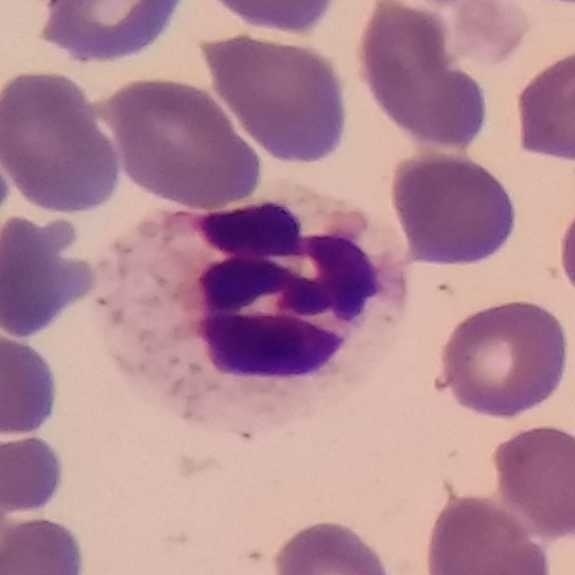White blood cell type = neutrophil.

Peripheral blood smear.